Single-cell field · peripheral blood film: 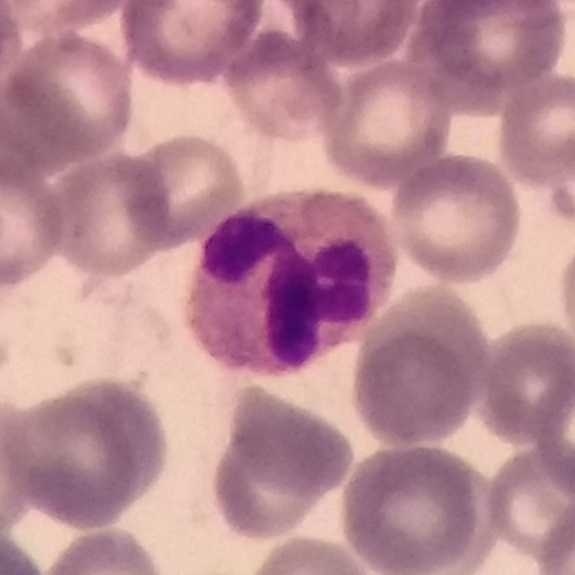

Impression — neutrophilic granulocyte.